Single-cell field; magnification 100×; peripheral blood smear:
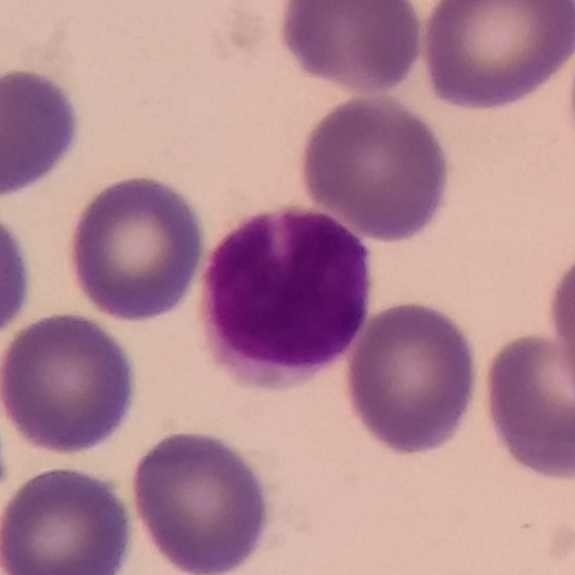

Classification — lymphocyte.